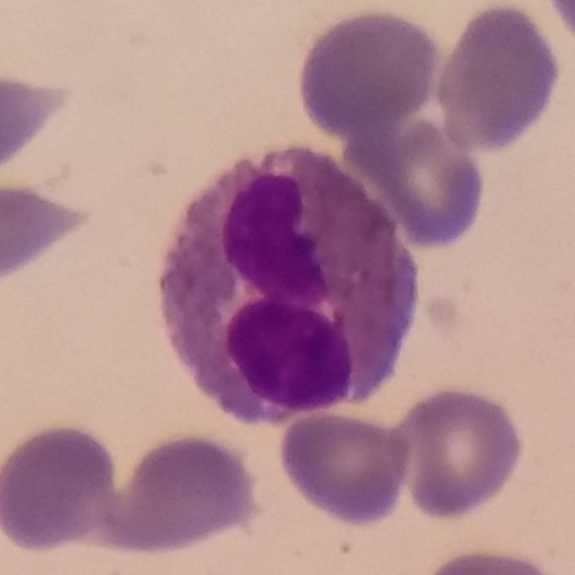 White blood cell from a peripheral blood smear: eosinophil.